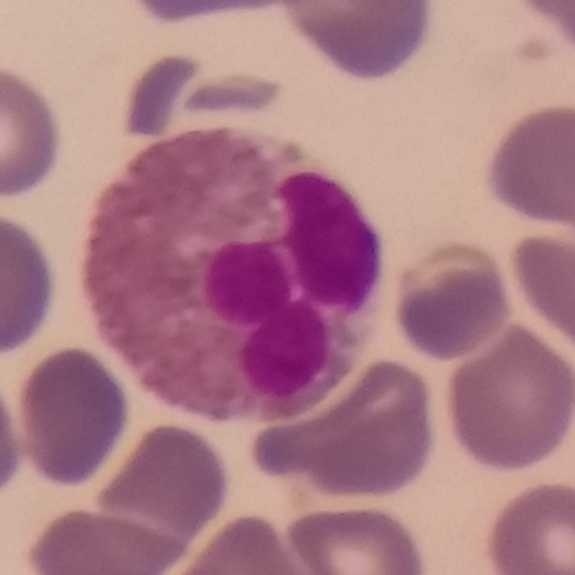

An eosinophilic granulocyte.

Preparation: Peripheral blood film.